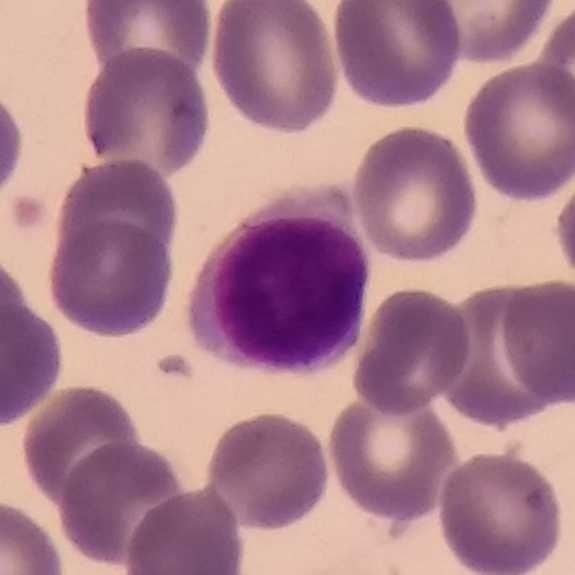Single cell identified as a lymphocyte.

Peripheral blood smear. Giemsa stain.